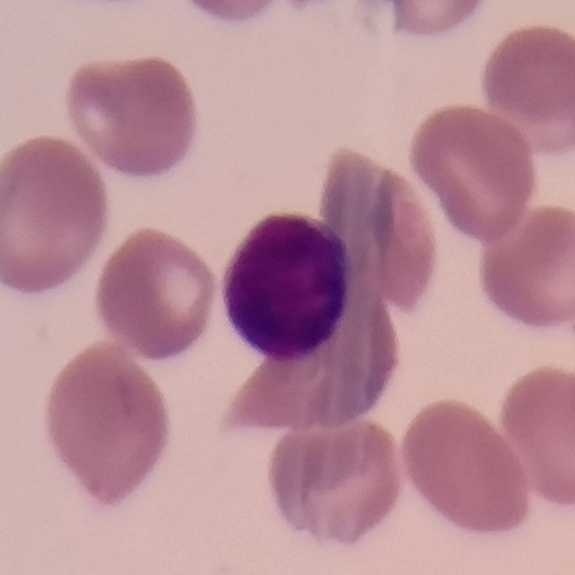Q: Which type of white blood cell is this?
A: It is a lymphocyte.